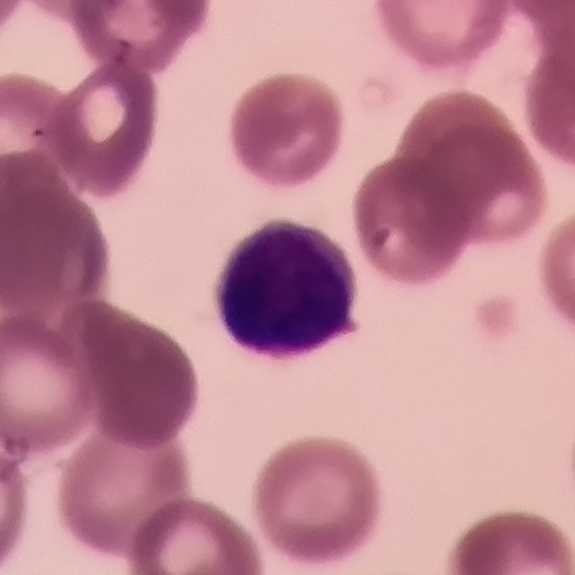

Peripheral blood film.
Q: What is this?
A: A lymphocyte.